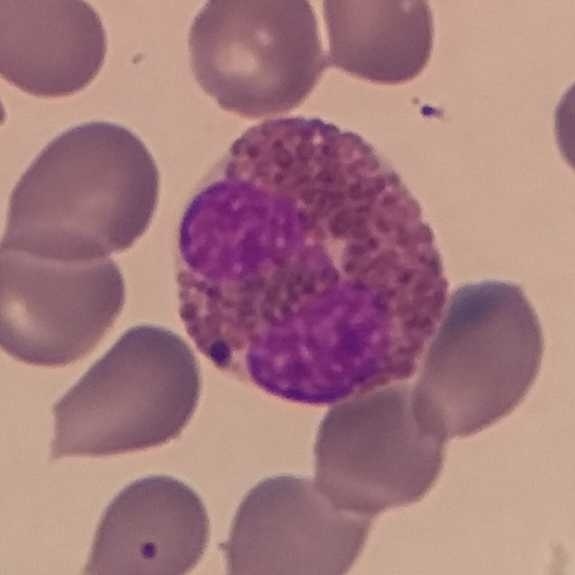
Q: What is this?
A: Eosinophil. Context: Peripheral blood smear.